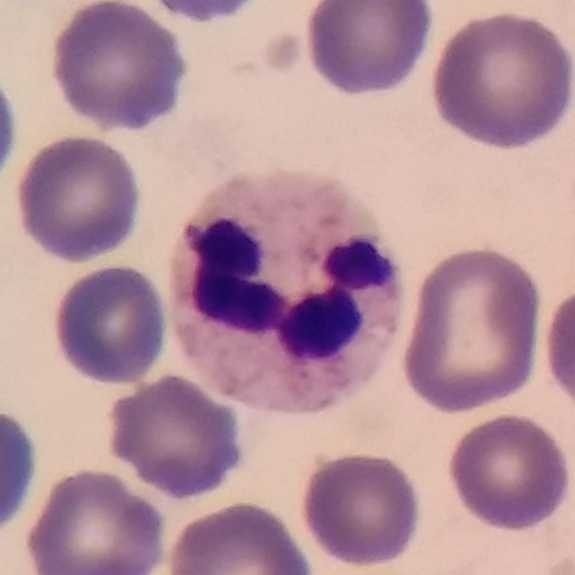
Single cell identified as a neutrophil granulocyte. Preparation: Peripheral blood smear · smartphone camera mounted on the microscope eyepiece · Giemsa stain.